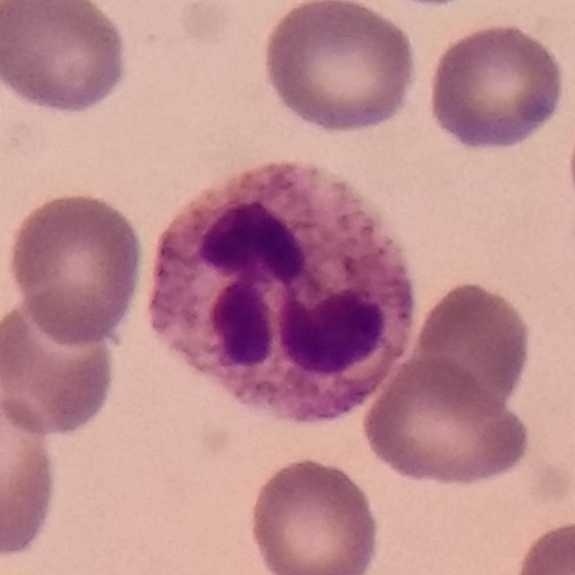Showing a neutrophil.

Acquisition: Magnification 100× · peripheral blood film · image size 575×575.